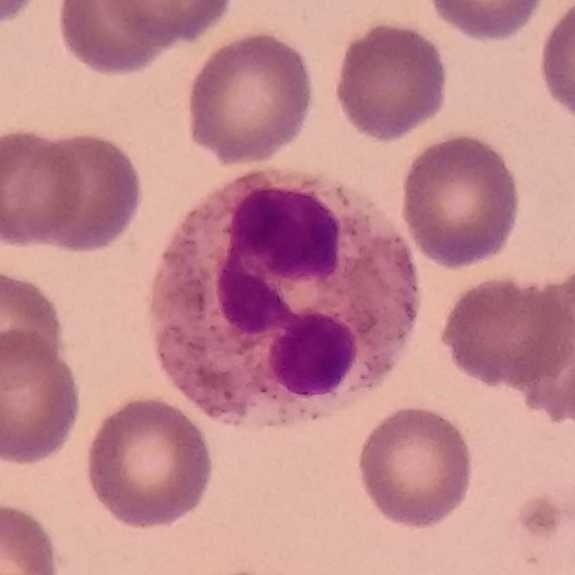
Showing a neutrophilic granulocyte. Image: Peripheral blood smear.